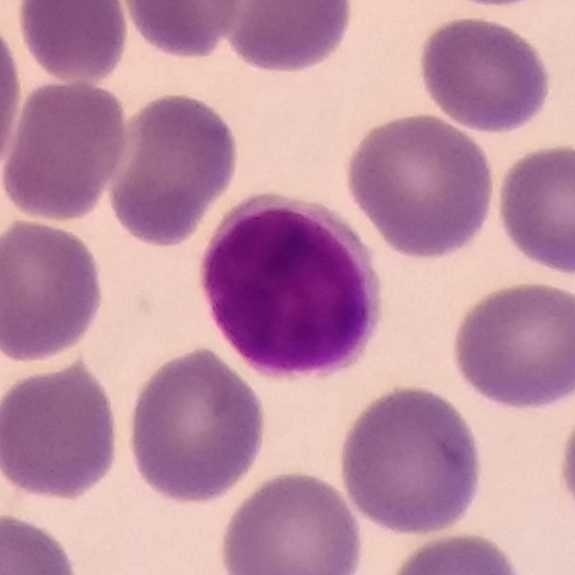Preparation: Peripheral blood smear.

Morphology → lymphocyte.